Peripheral blood smear · smartphone camera mounted on the microscope eyepiece
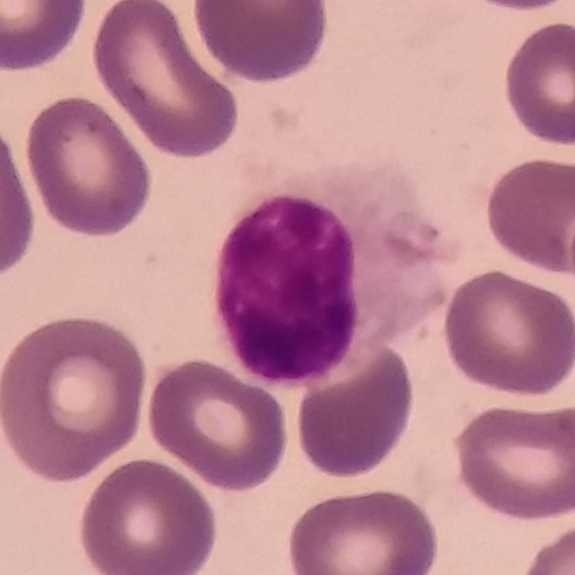 Specimen: peripheral blood film.
Cell type: lymphocyte.
Lineage: lymphoid.